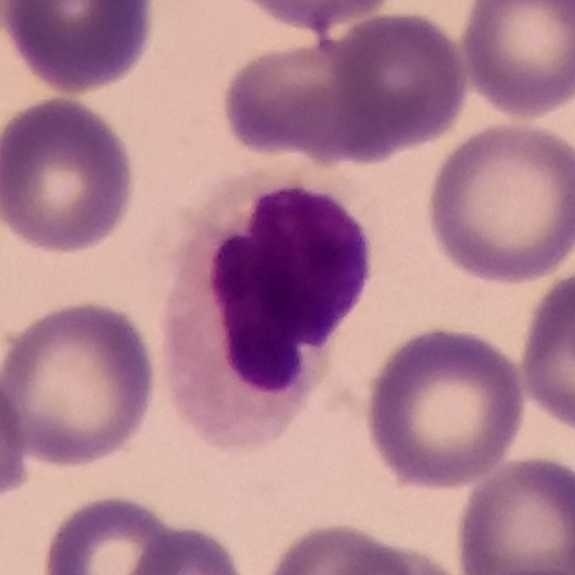Impression — lymphocyte.

Preparation: Peripheral blood film.